100× magnification; peripheral blood film; Giemsa-stained — 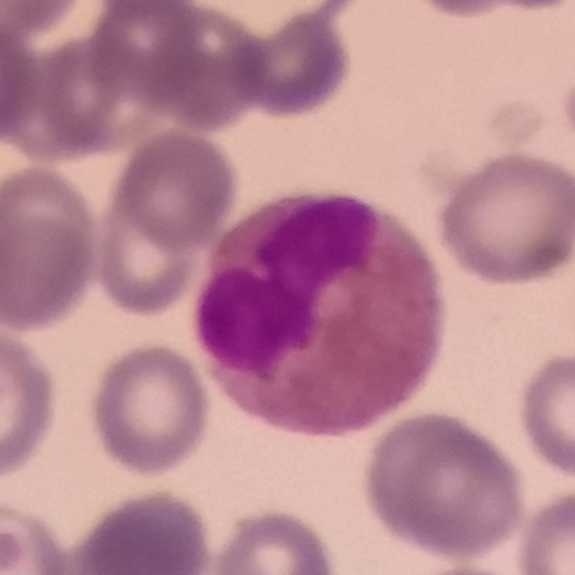Q: What is the morphological classification of this cell?
A: An eosinophil.